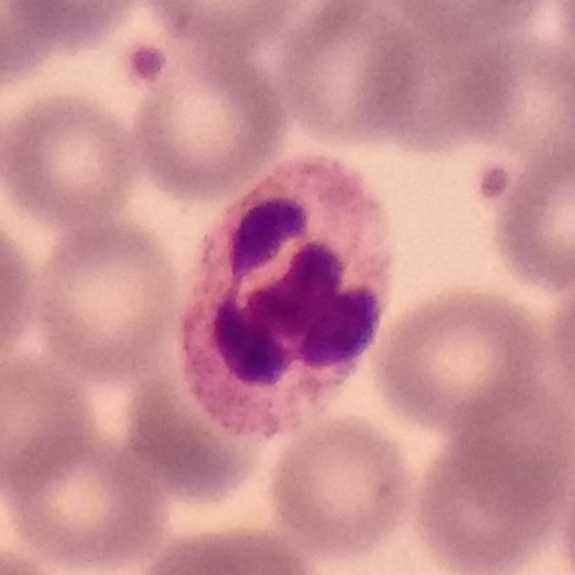 Image: Peripheral blood film · phone-camera image taken through the microscope ocular. Cell type: neutrophil.